Peripheral blood film.
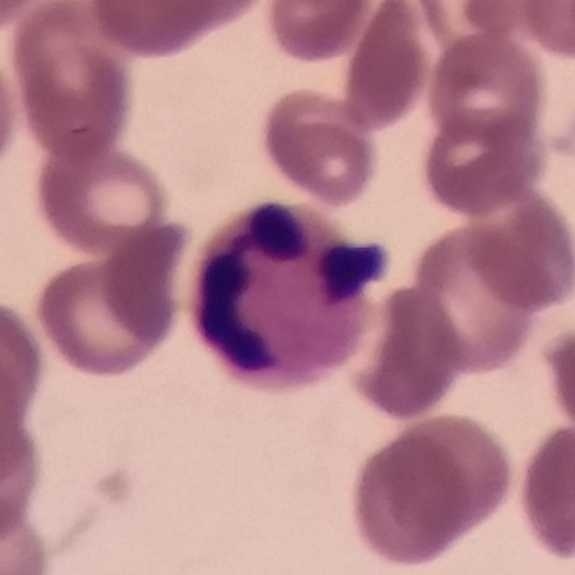

Neutrophil granulocyte.